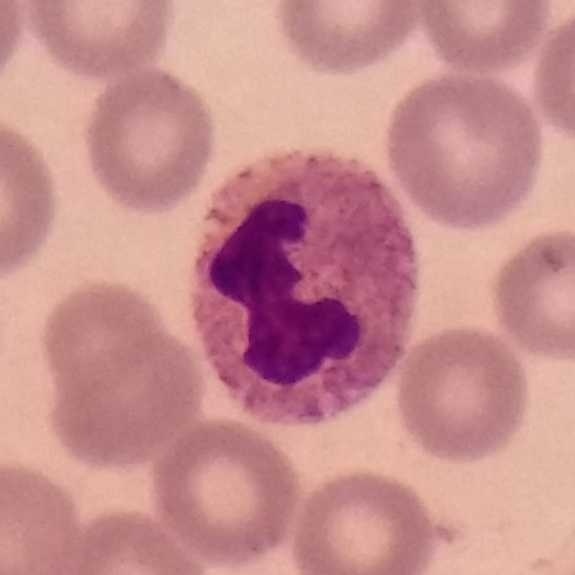
Image: Giemsa-stained; peripheral blood smear.
Q: Classify this leukocyte.
A: It is a neutrophil.